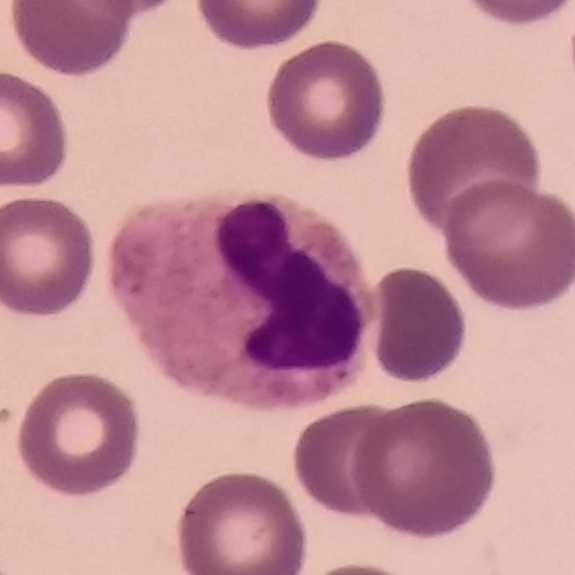
Context: Peripheral blood film.

Cell: neutrophilic granulocyte.